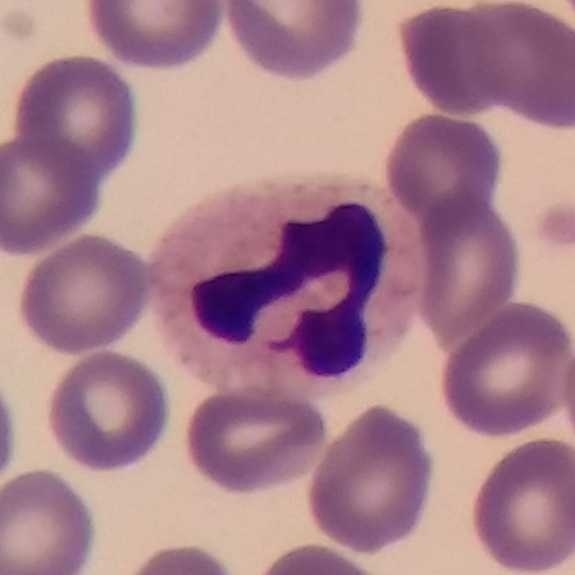Impression — neutrophil.